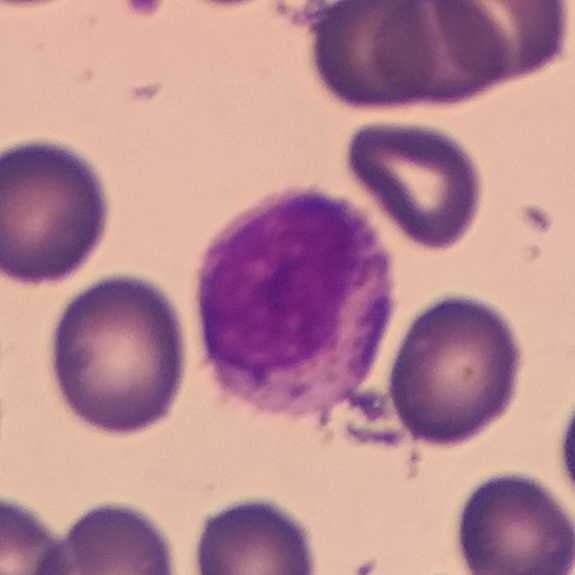 Preparation: Image size 575×575.
Specimen: peripheral blood film.
Cell type: lymphocyte.